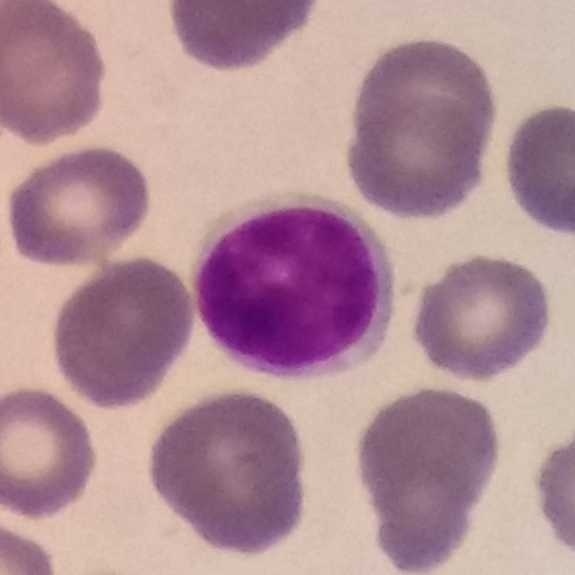

Giemsa stain.

Specimen: peripheral blood smear.
Cell type: lymphocyte.